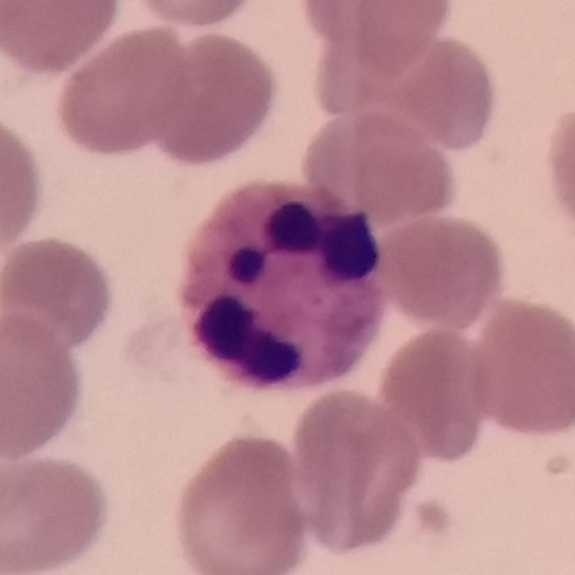

The cell type is neutrophilic granulocyte.